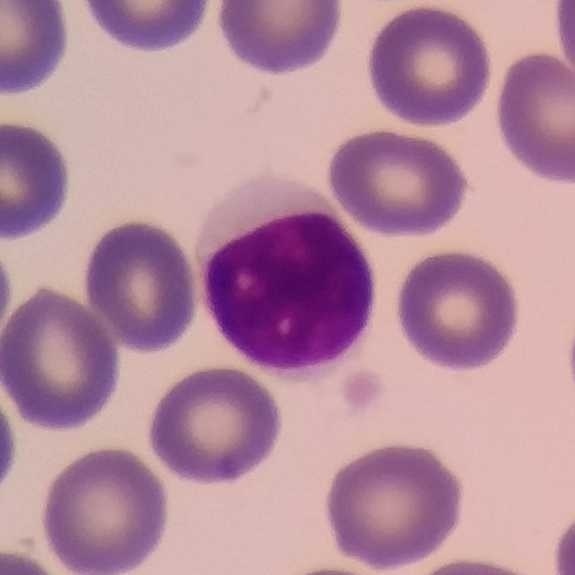
Preparation: Smartphone camera mounted on the microscope eyepiece; peripheral blood film.
White blood cell type = lymphocyte.